Peripheral blood smear: 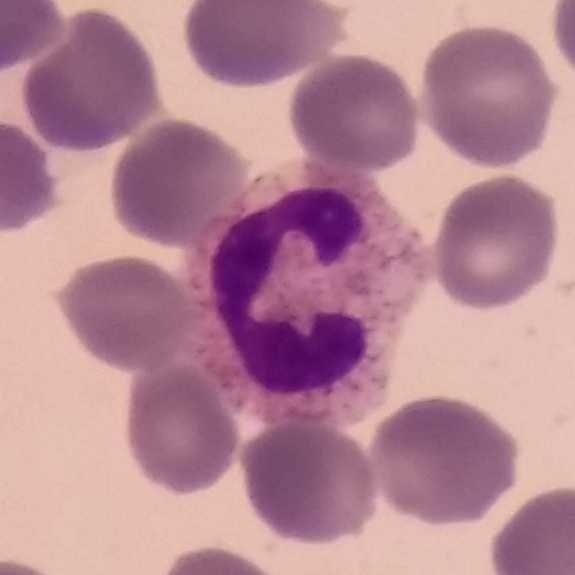Q: Identify the cell.
A: It is a neutrophil granulocyte.